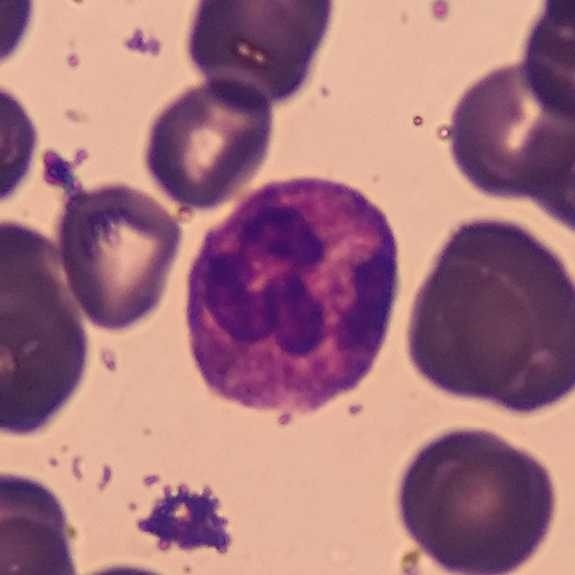 From a peripheral blood smear: a neutrophilic granulocyte.